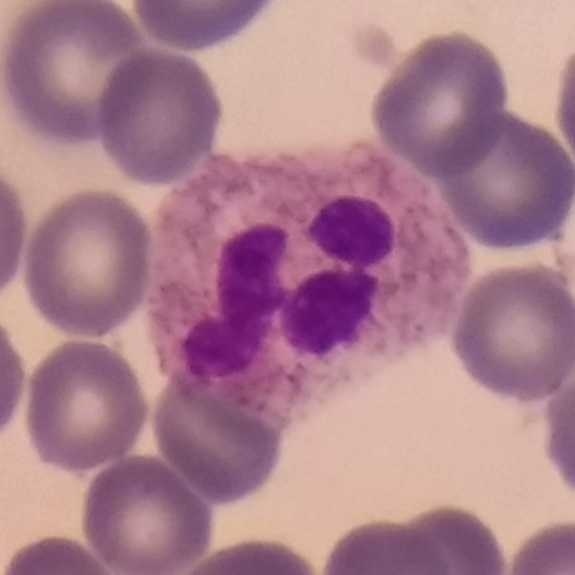 Specimen: peripheral blood smear.
Morphological class: neutrophilic granulocyte.